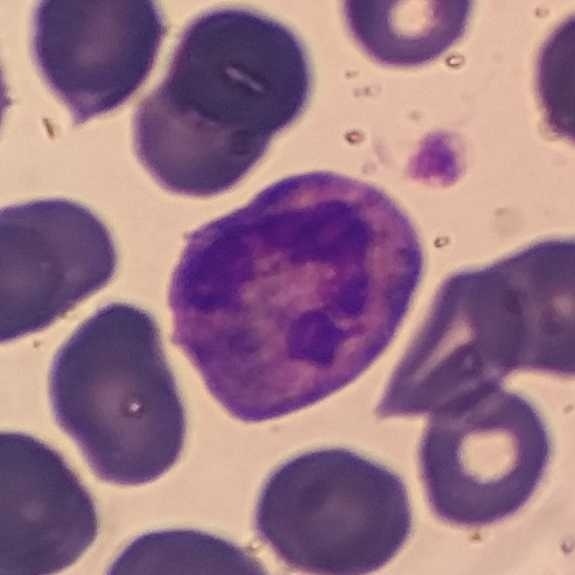Context: Single-cell crop · peripheral blood smear.
Impression — neutrophilic granulocyte.